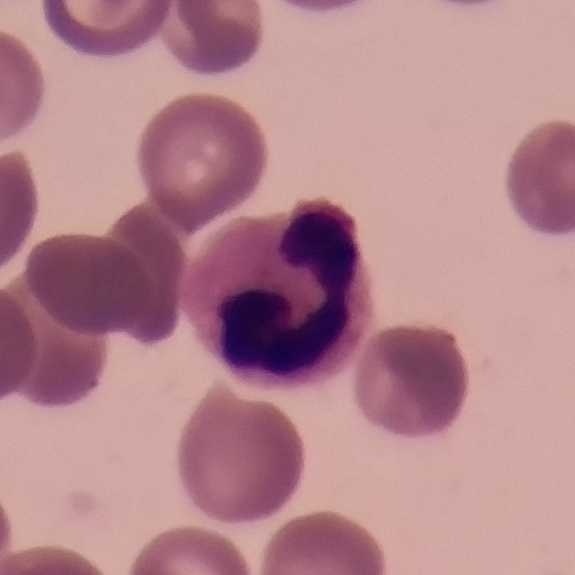
Q: What is this?
A: A neutrophil. Acquisition: Giemsa stain · peripheral blood smear.